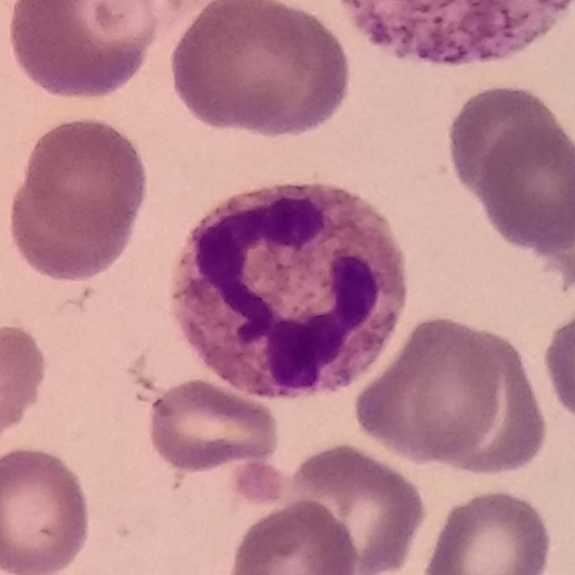

Impression → neutrophil.
Acquisition: Peripheral blood film.